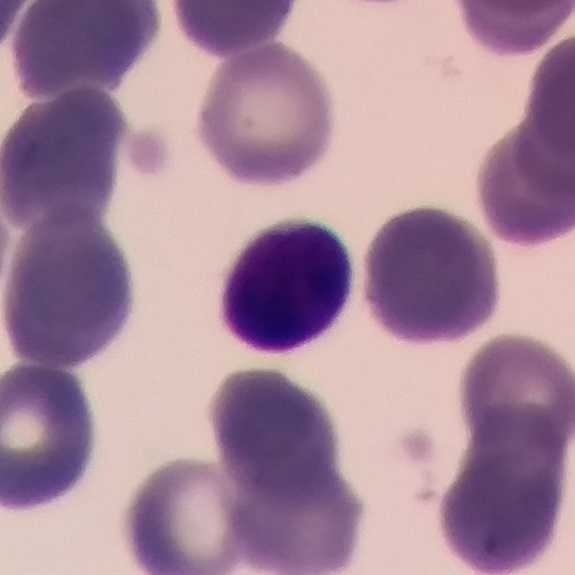
Acquisition: Smartphone photomicrograph; peripheral blood smear.

Q: What is shown here?
A: A lymphocyte.